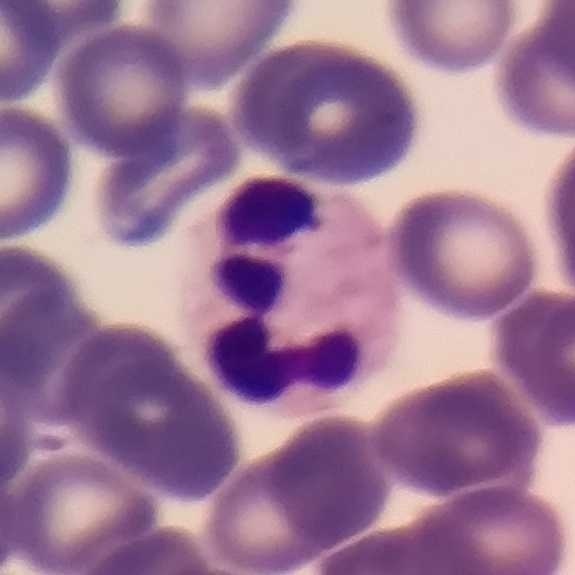
Morphology consistent with a neutrophil granulocyte.
575×575 · magnification 100× · peripheral blood film.